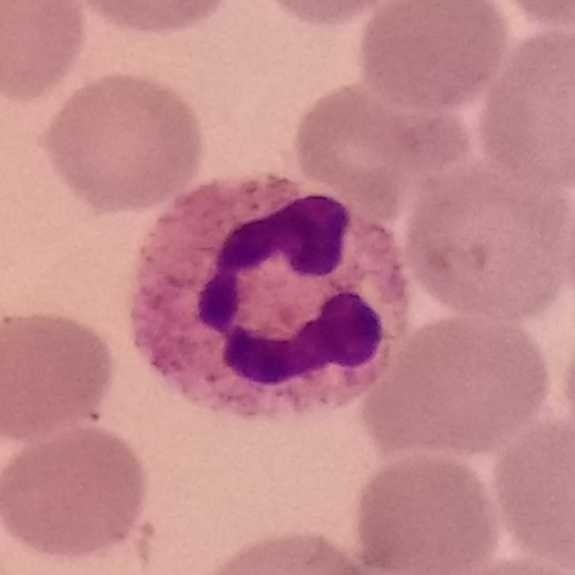
Q: What type of cell is this?
A: A neutrophilic granulocyte. Acquisition: Peripheral blood film.